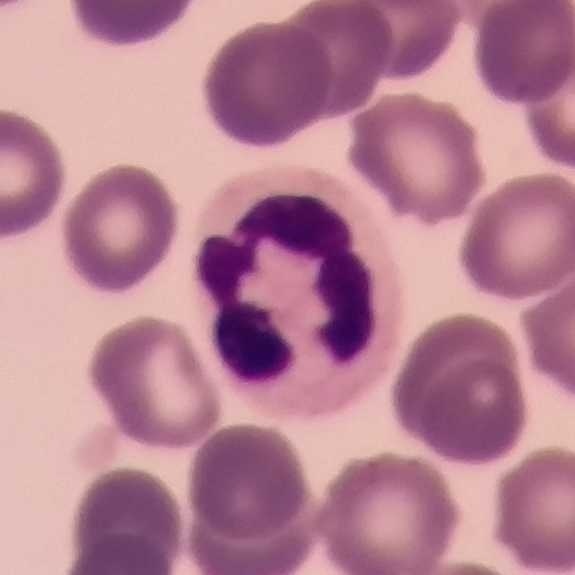Context: Magnification 100× · stained with Giemsa · peripheral blood film.
Morphology → neutrophilic granulocyte.